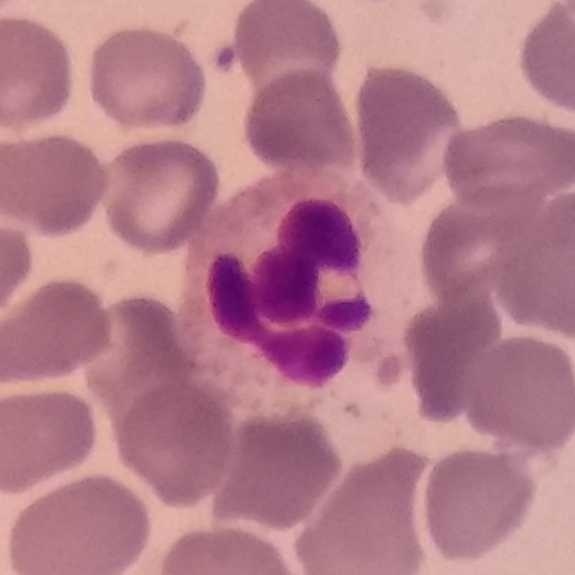
Morphology — neutrophil granulocyte.